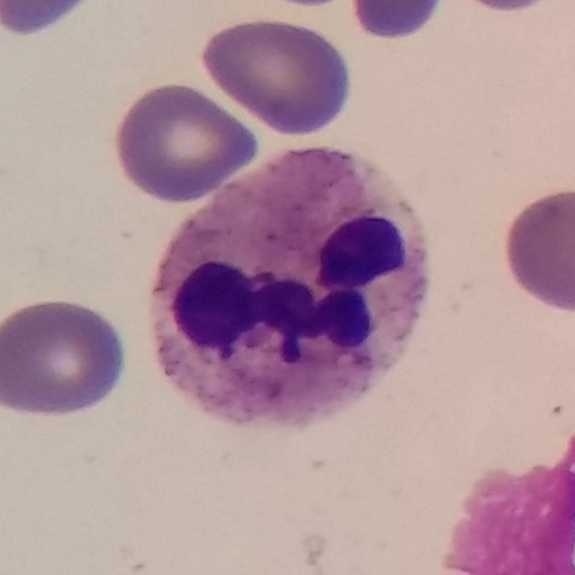

Morphology → neutrophilic granulocyte.

Image: Peripheral blood smear.